Peripheral blood film: 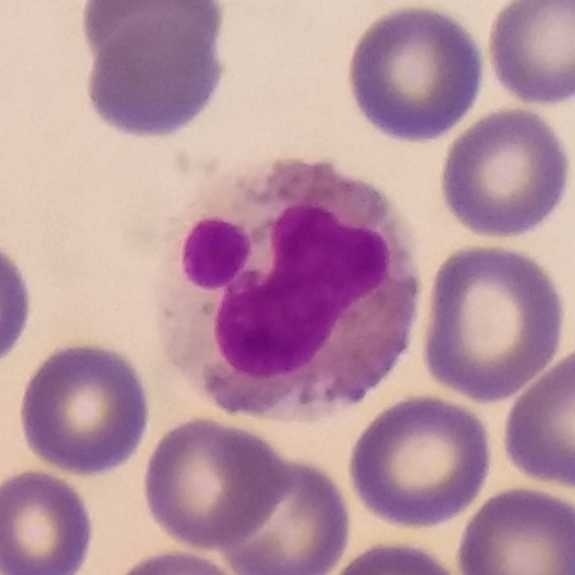 Morphology → eosinophil.